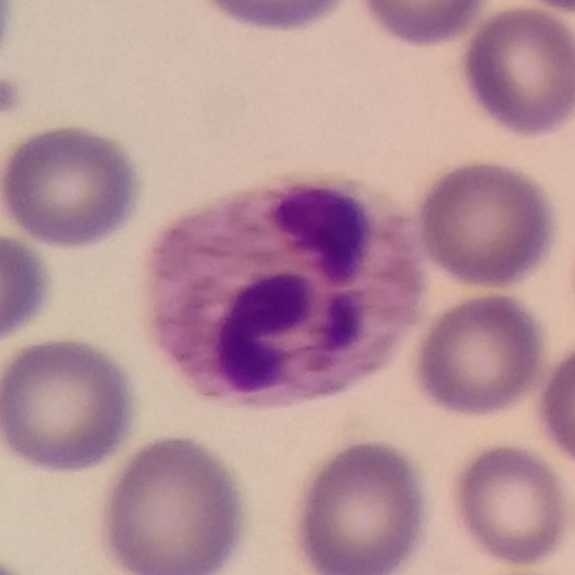

A neutrophil. Giemsa stain; phone-camera image taken through the microscope ocular; peripheral blood film.